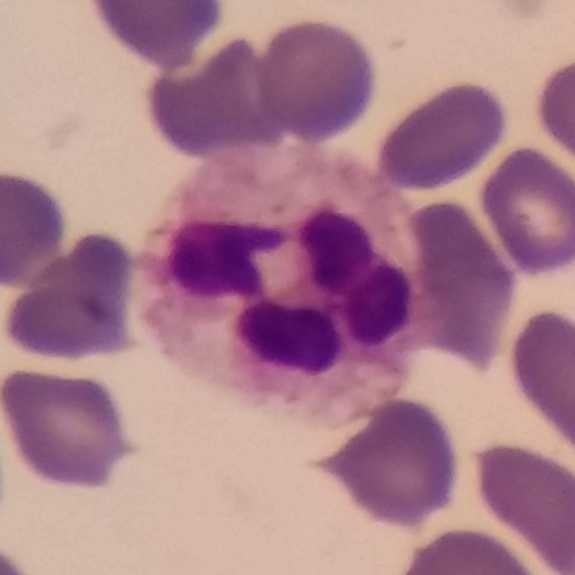
Specimen: peripheral blood smear.
Classification: neutrophilic granulocyte.
Lineage: myeloid.